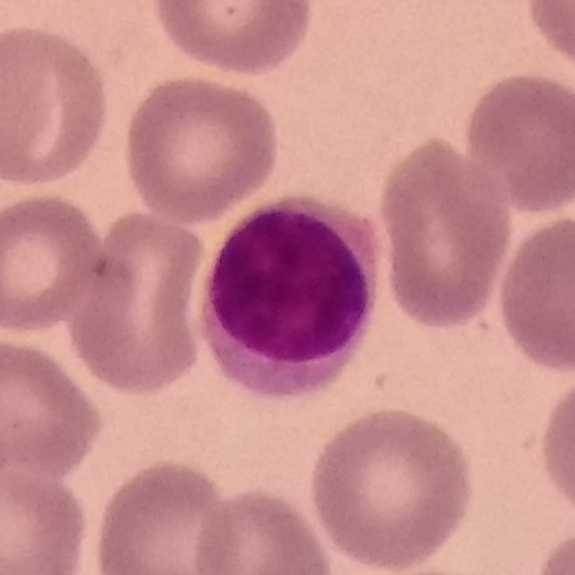 Q: What is this?
A: Lymphocyte.